Smartphone camera mounted on the microscope eyepiece. Stained with Giemsa. Peripheral blood smear:
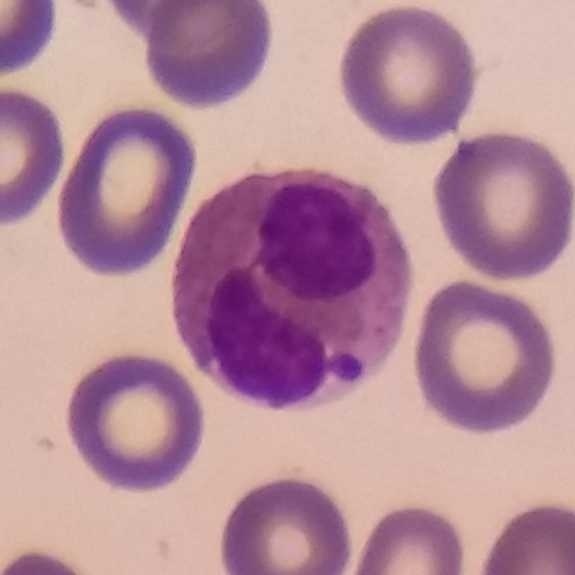
Showing an eosinophilic granulocyte.